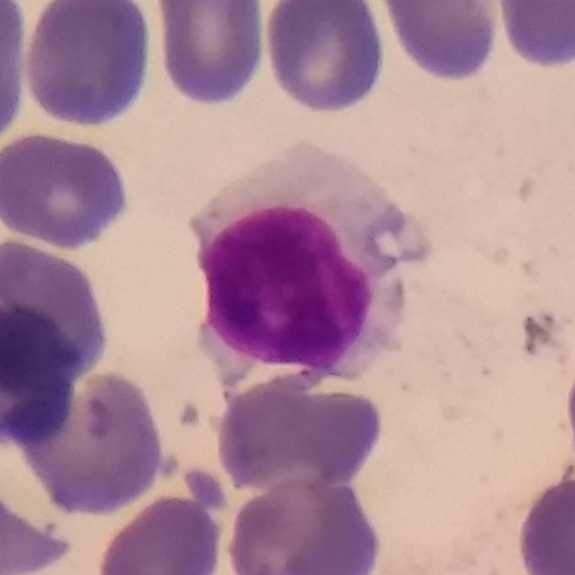Morphology — lymphocyte.
Preparation: Peripheral blood smear.